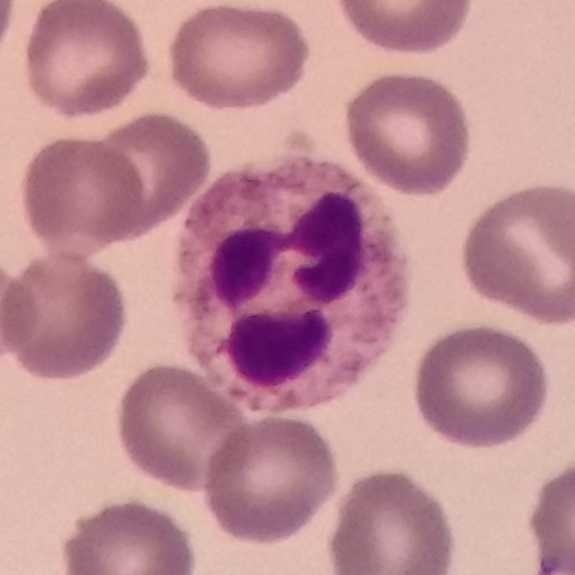575 by 575 pixels.

Specimen: peripheral blood smear.
Classification: neutrophilic granulocyte.